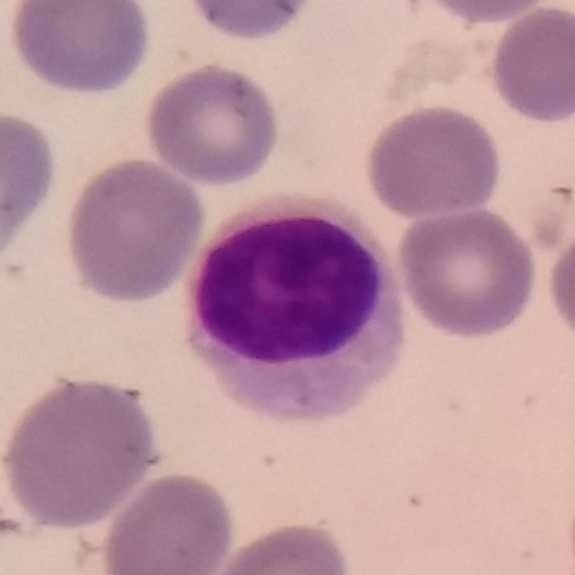{"cell_type": "lymphocyte"}